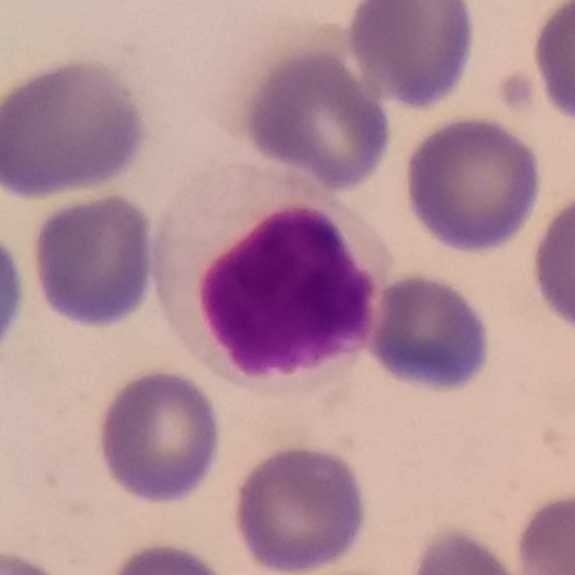Morphology → lymphocyte.
Preparation: Peripheral blood smear. Single white blood cell cropped from the smear photograph.